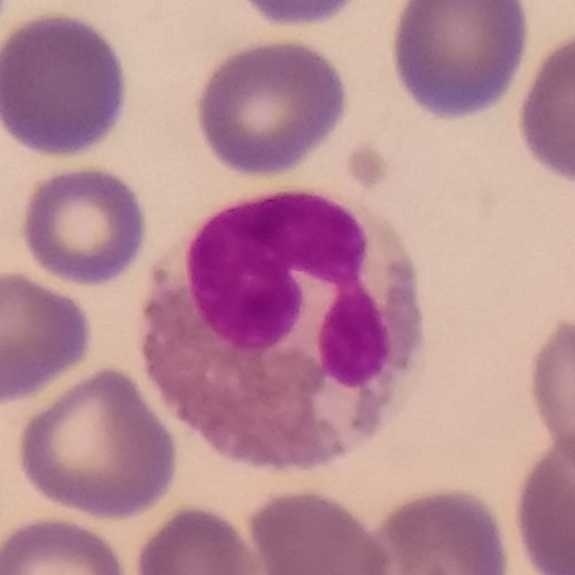An eosinophilic granulocyte.

Acquisition: 575×575 px; imaged at 100×; peripheral blood smear.